Peripheral blood smear; photographed through a light microscope with a smartphone camera; image size 575×575.
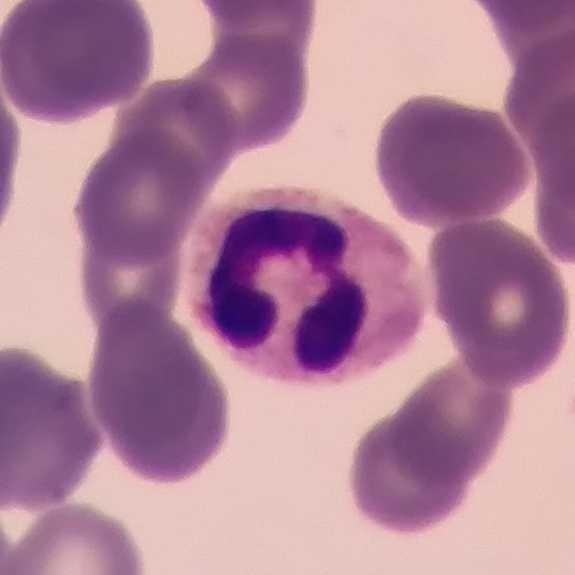
Specimen: peripheral blood film.
Cell: neutrophil.
Lineage: myeloid.